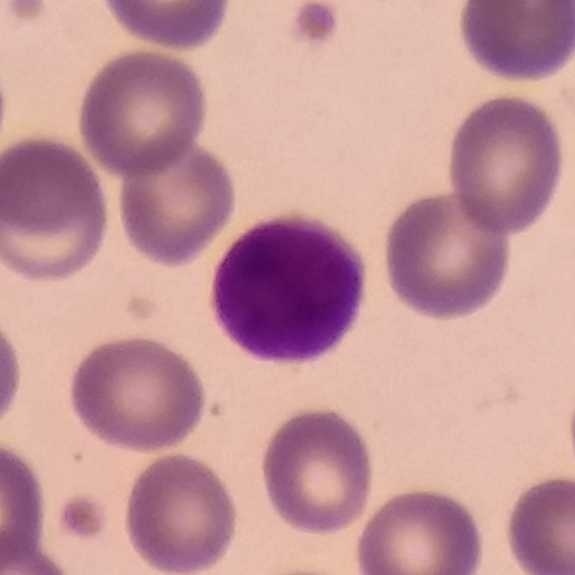White blood cell type = lymphocyte.

Peripheral blood film · stained with Giemsa · photographed through a light microscope with a smartphone camera.